Cropped to one leukocyte; smartphone photomicrograph; peripheral blood smear: 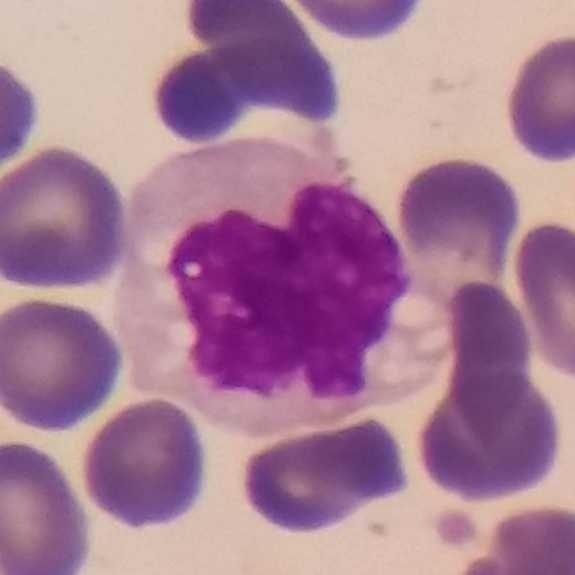 Morphology → monocyte.